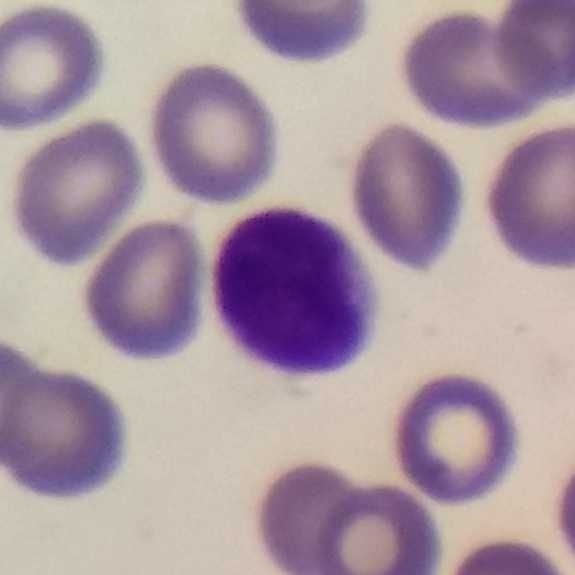Q: Identify the cell.
A: It is a lymphocyte.